Peripheral blood film
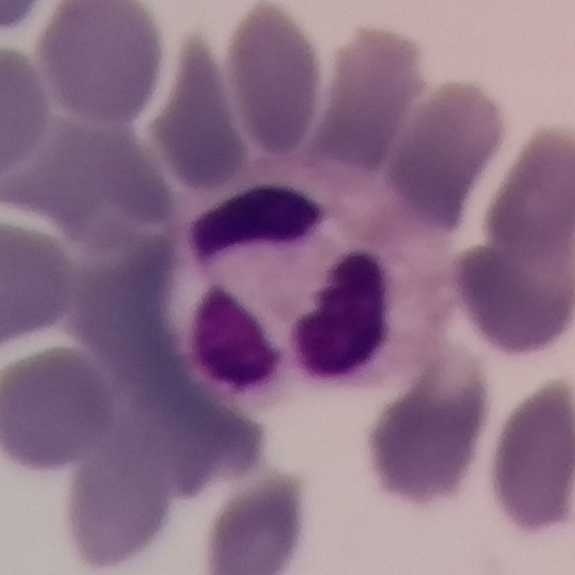 Specimen: peripheral blood film.
Cell type: neutrophil.
Lineage: myeloid.